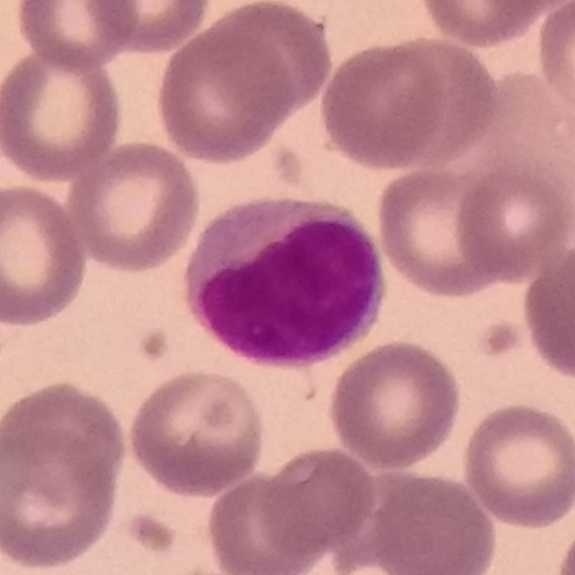

Peripheral blood smear. Classification — lymphocyte.